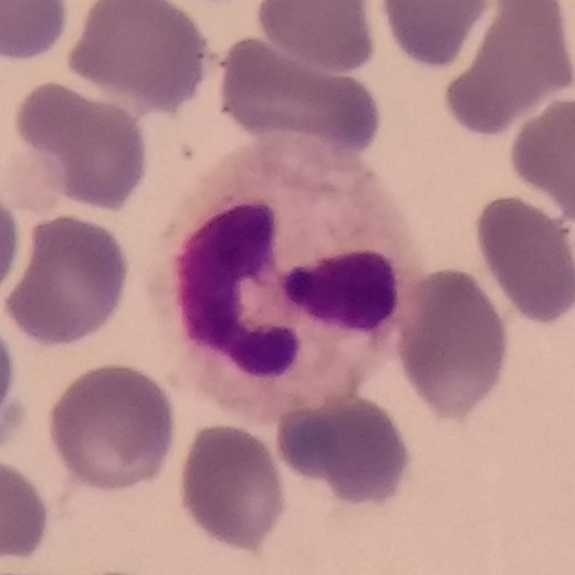 Q: Which cell type is shown here?
A: Neutrophil granulocyte. Preparation: Peripheral blood film.